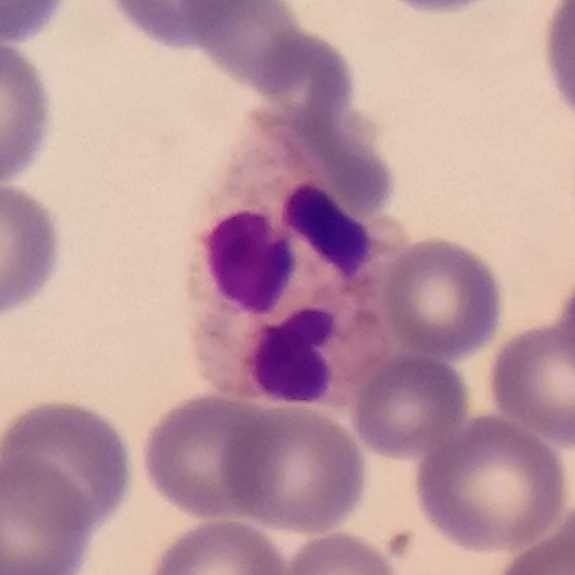Cell — neutrophil.

Peripheral blood film.